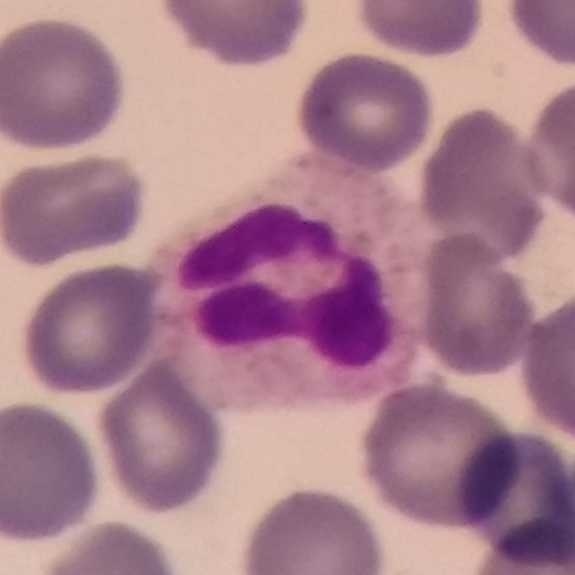The white blood cell in this image is a neutrophil.
Peripheral blood film; imaged at 100×; single-cell field.